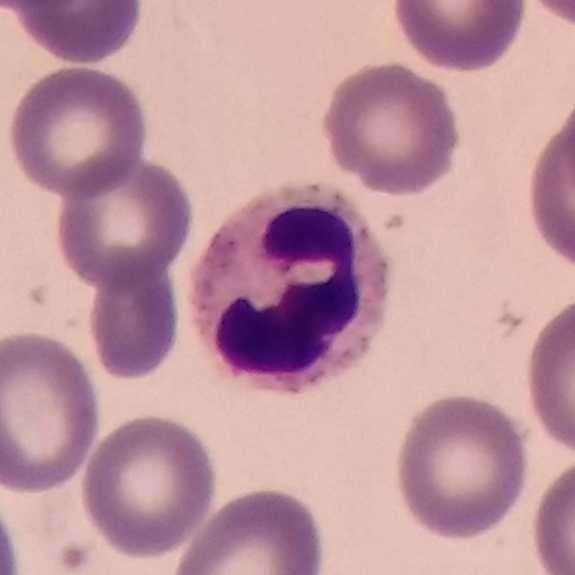

Image: Peripheral blood smear.

White blood cell type: neutrophil granulocyte.